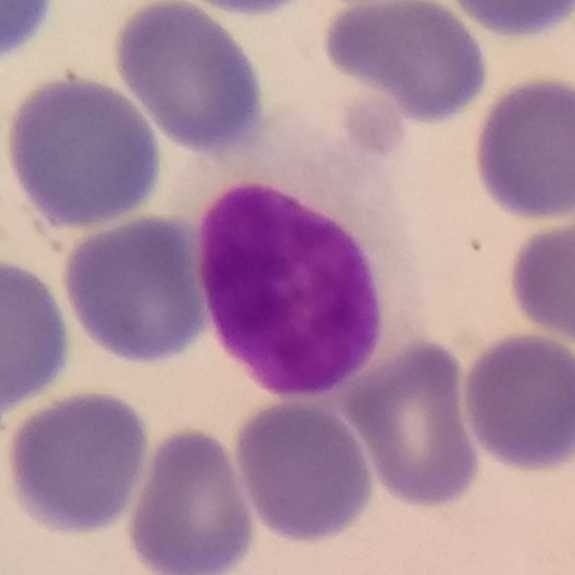
Context: Single-cell crop · 575 by 575 pixels. Specimen: peripheral blood smear.
White blood cell type: lymphocyte.
Lineage: lymphoid.